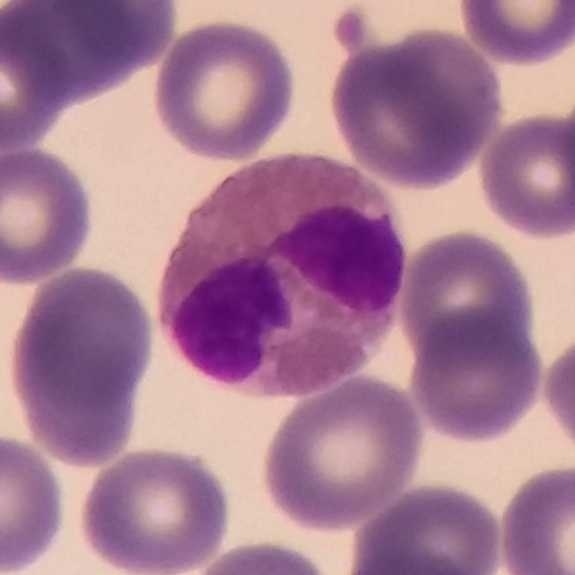

Cell = eosinophil.

Image: Peripheral blood film.